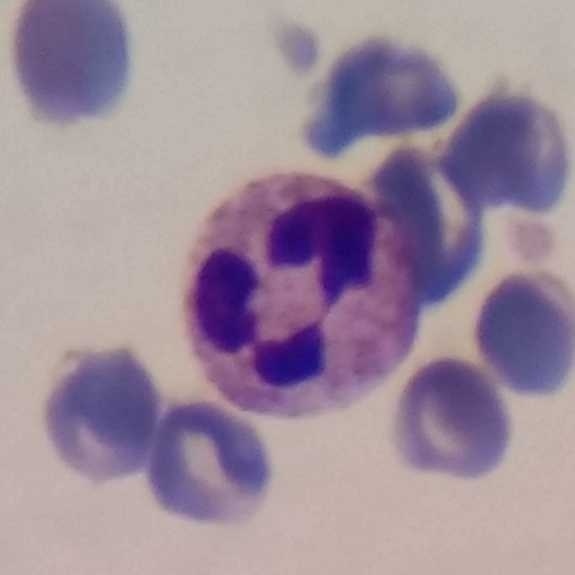
Showing a neutrophil granulocyte. Peripheral blood film.